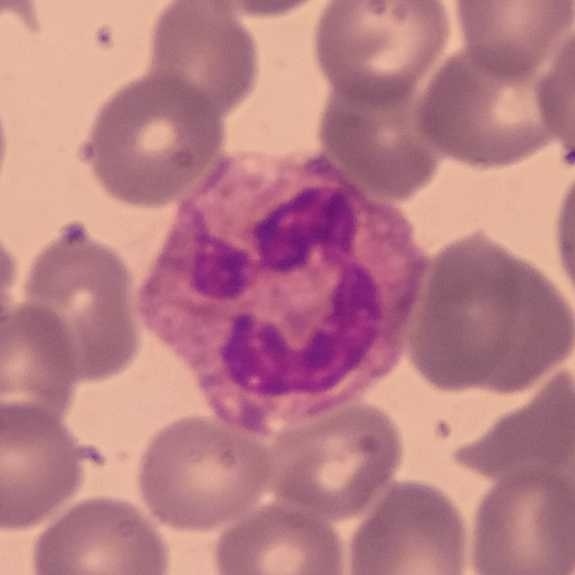 Single cell identified as a neutrophilic granulocyte.
Acquisition: 575×575 · peripheral blood smear.